Peripheral blood smear — 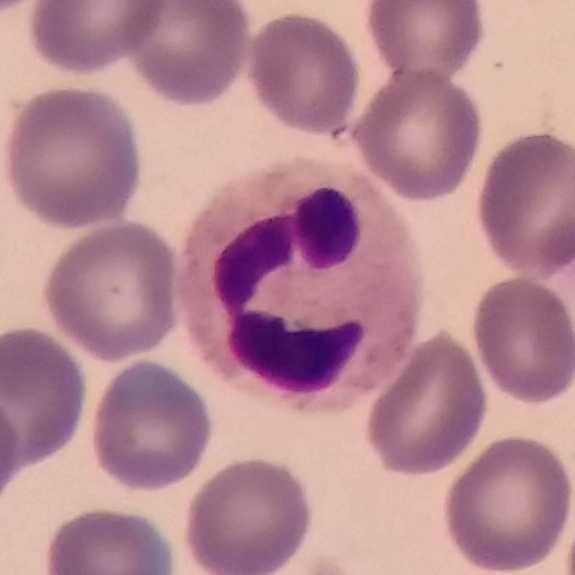
Cell = neutrophilic granulocyte.